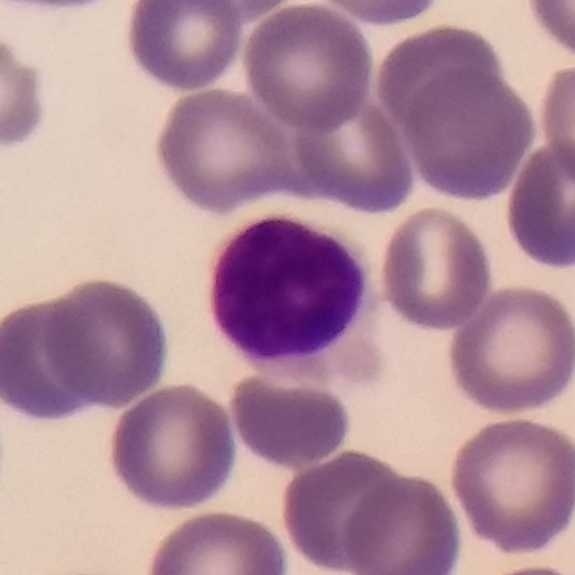 Classification — lymphocyte. Preparation: Single white blood cell cropped from the smear photograph; peripheral blood smear.